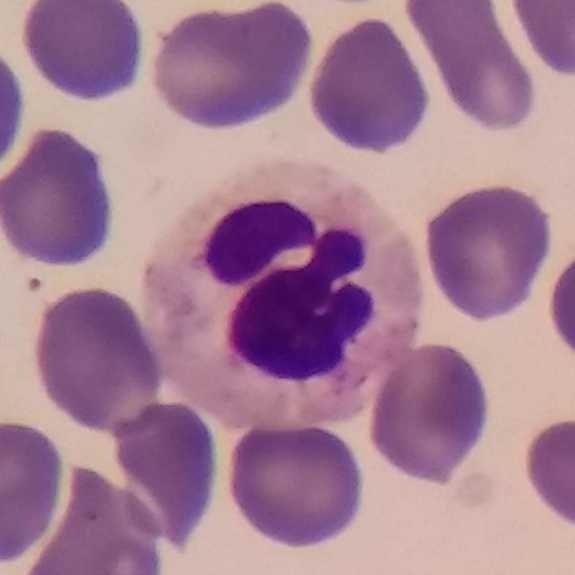

Specimen: peripheral blood smear.
Cell: neutrophilic granulocyte.
Lineage: myeloid.